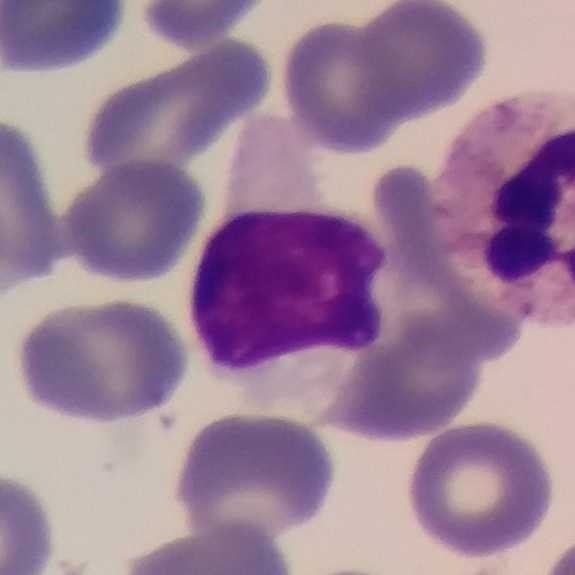

Q: What is this?
A: It is a lymphocyte.

Image: Photographed through a light microscope with a smartphone camera · peripheral blood smear.